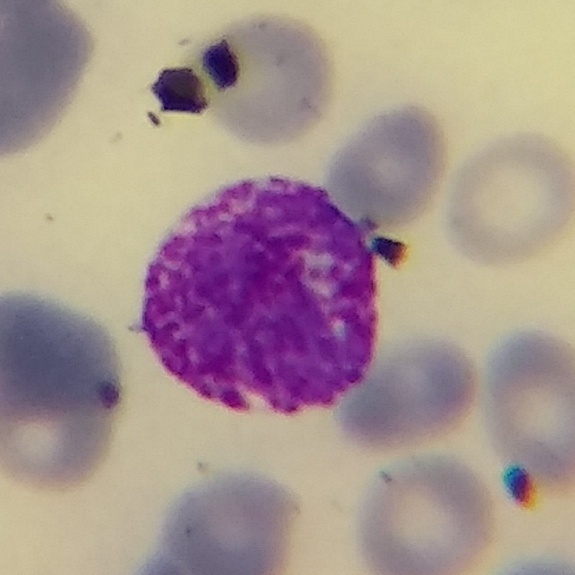
Classification = basophil.